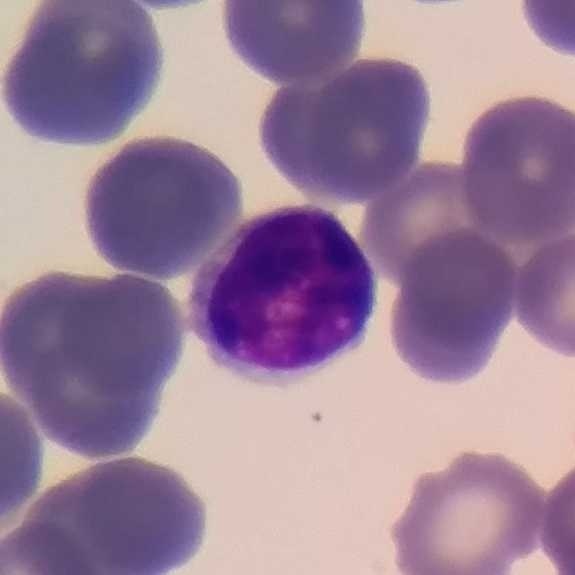 Single-cell crop from a peripheral blood smear: lymphocyte.